Peripheral blood film; single-cell crop; 575×575 px: 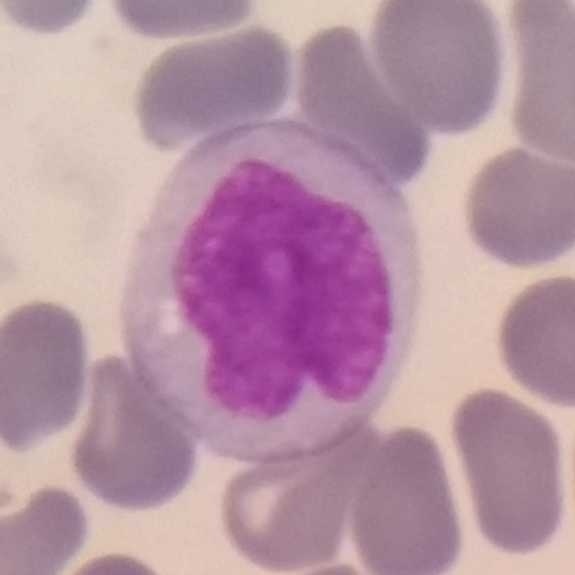

Specimen: peripheral blood film.
Morphological class: monocyte.
Lineage: myeloid.